Giemsa-stained · peripheral blood smear:
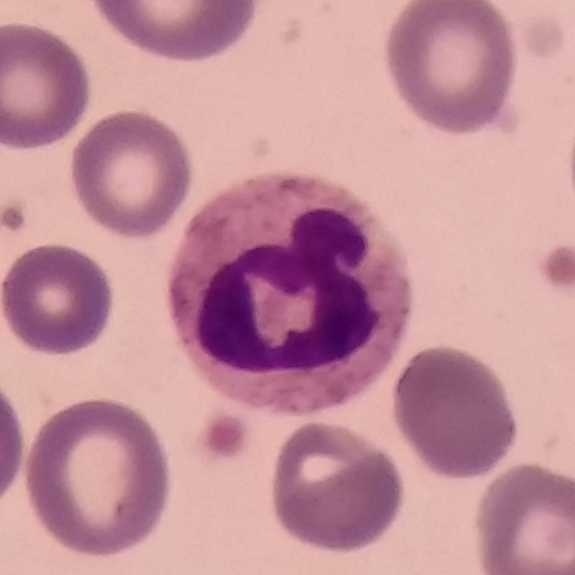
{"cell_type": "neutrophil granulocyte", "lineage": "myeloid"}